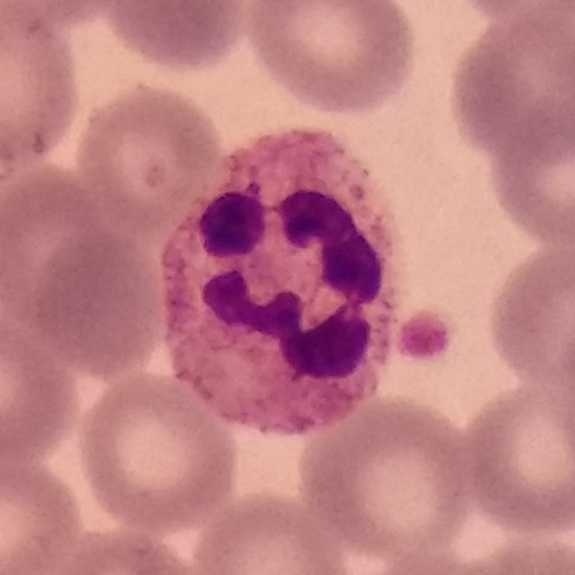 Morphology consistent with a neutrophil.
Context: Peripheral blood film; 575×575 px.